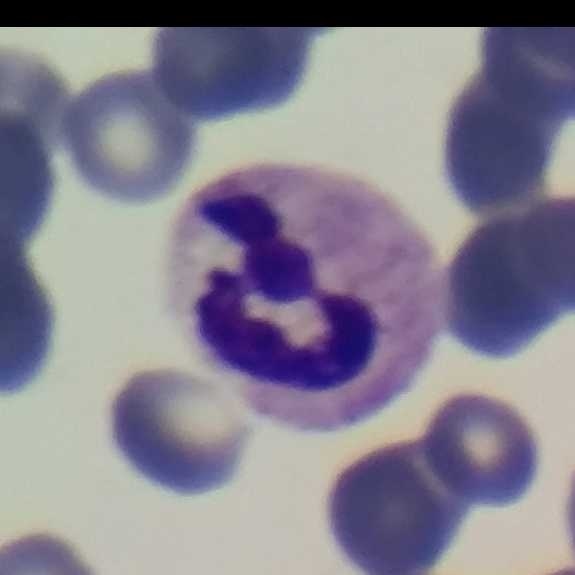

Morphology → neutrophil.